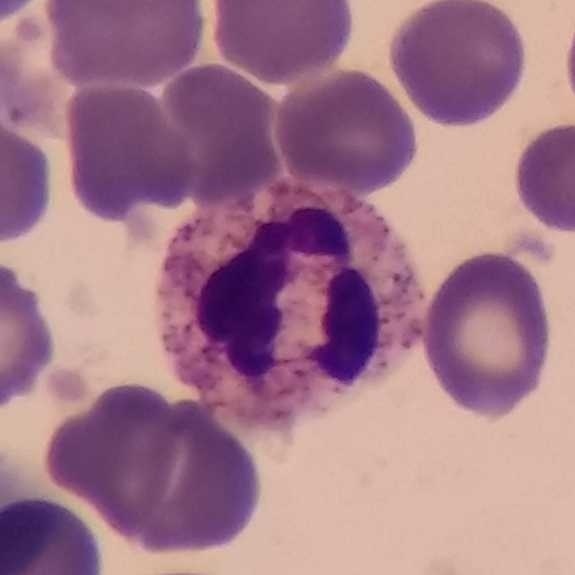Preparation: Single white blood cell cropped from the smear photograph · peripheral blood film · image size 575×575.
Q: What cell is this?
A: This is a neutrophil granulocyte.